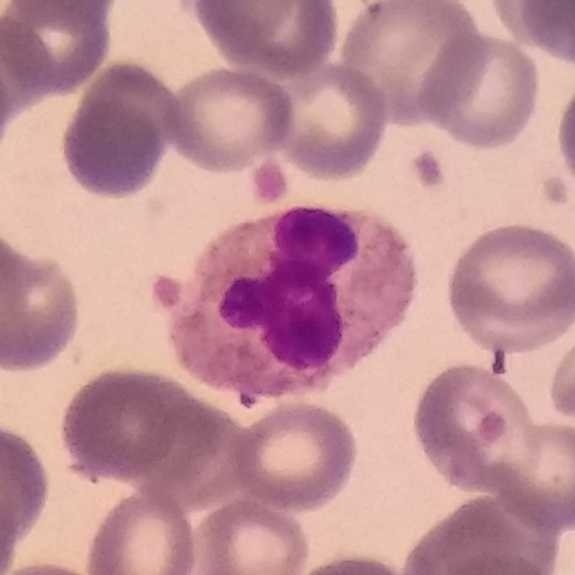

White blood cell type — neutrophilic granulocyte.
Image: Peripheral blood smear.